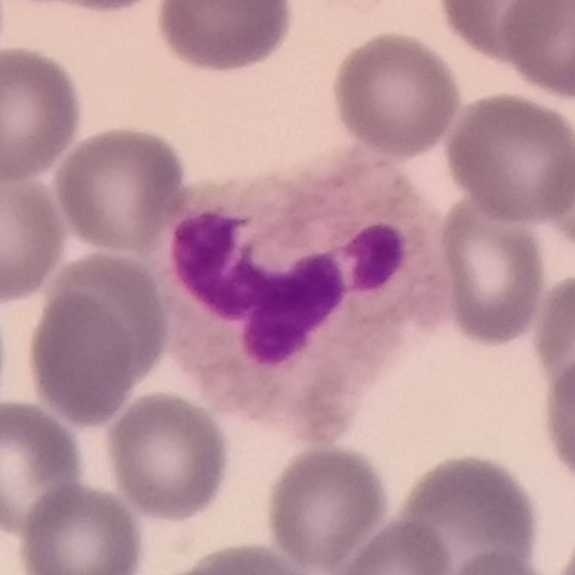Single cell identified as a neutrophil granulocyte.